Cropped to one leukocyte; peripheral blood smear.
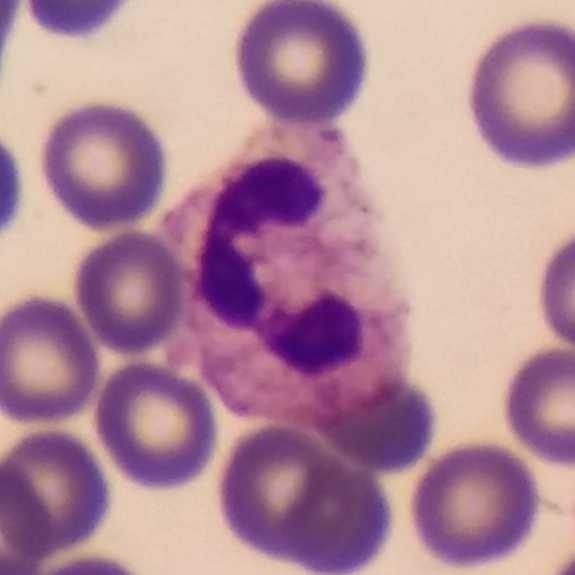
The cell type is neutrophil granulocyte.